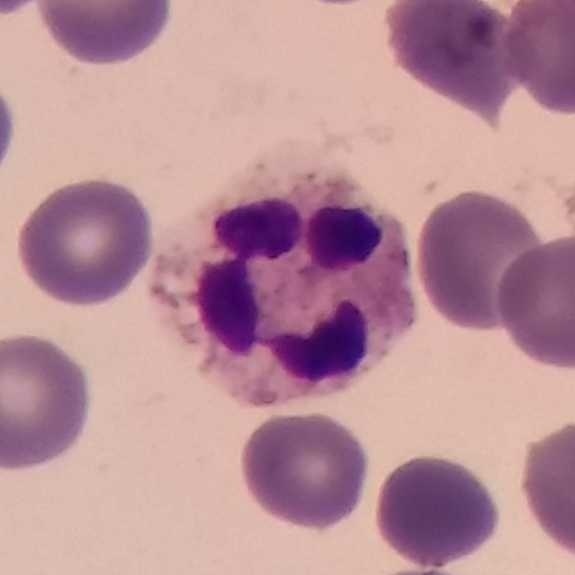 Giemsa stain. Peripheral blood smear.

Cell: neutrophil granulocyte.